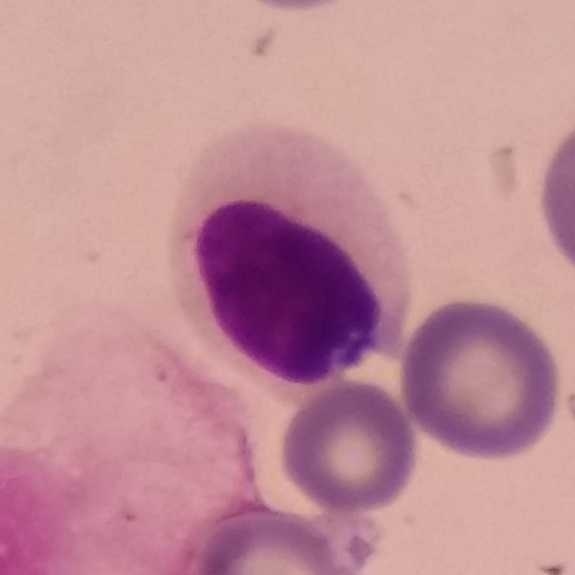 Peripheral blood smear.
Morphological class — lymphocyte.